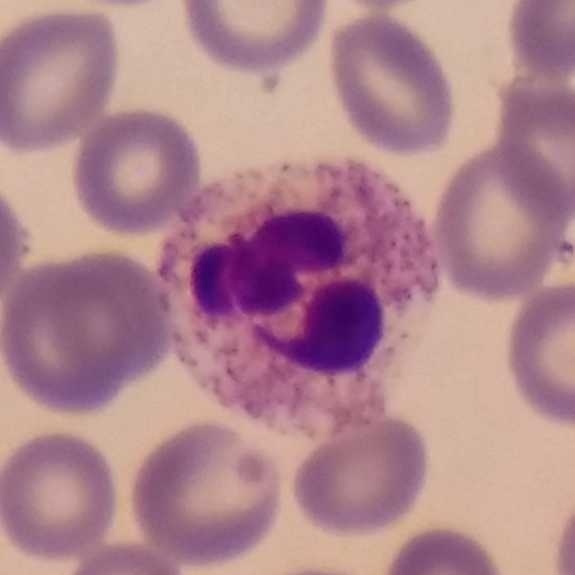
100× magnification · peripheral blood film. The white blood cell type is neutrophil.